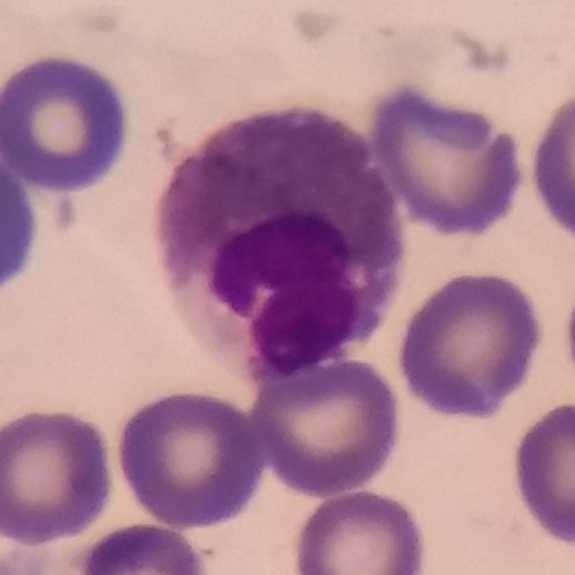
Context: Magnification 100× · Giemsa stain · peripheral blood film. Cell — eosinophilic granulocyte.